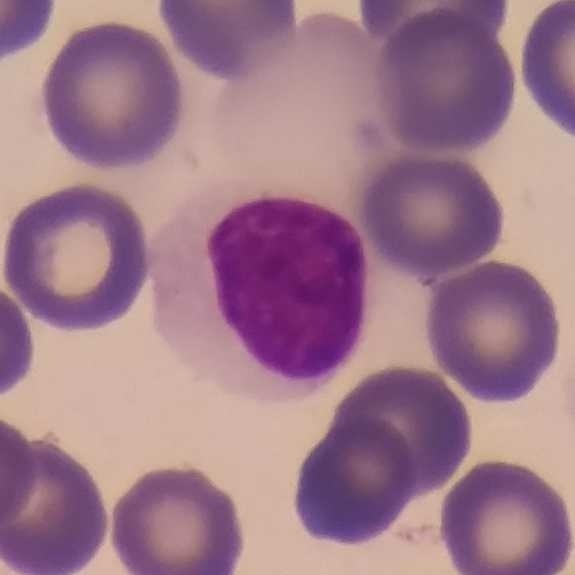Giemsa-stained; peripheral blood film.

The white blood cell in this image is a lymphocyte.